Peripheral blood smear. Giemsa stain.
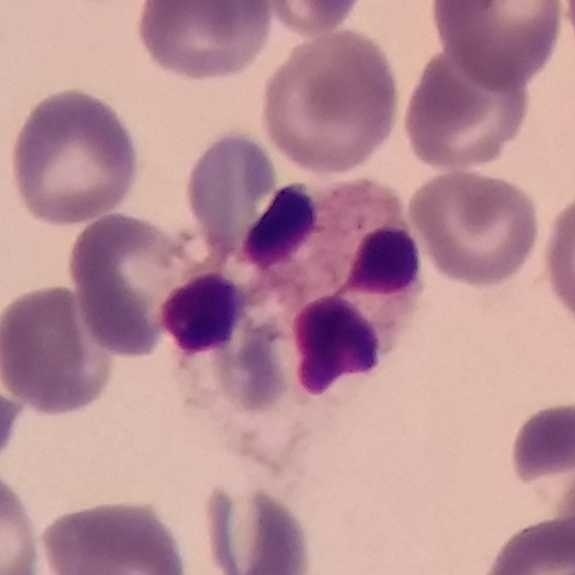

Morphology consistent with a neutrophil granulocyte.